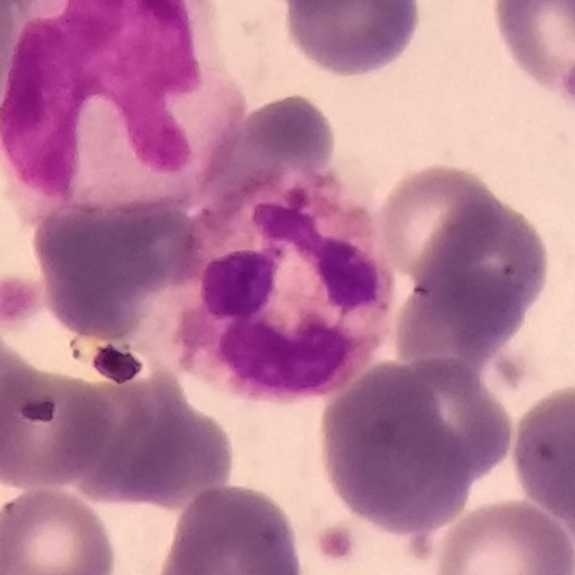
Morphological class: neutrophil granulocyte.